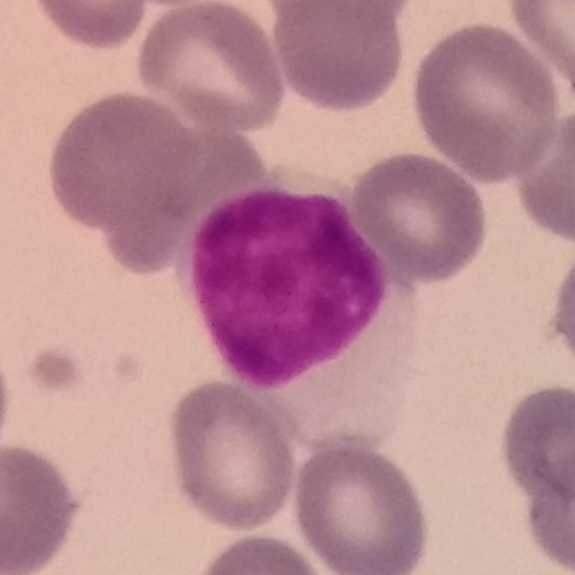 Morphological class: lymphocyte.

575×575 · peripheral blood smear.